Peripheral blood film.
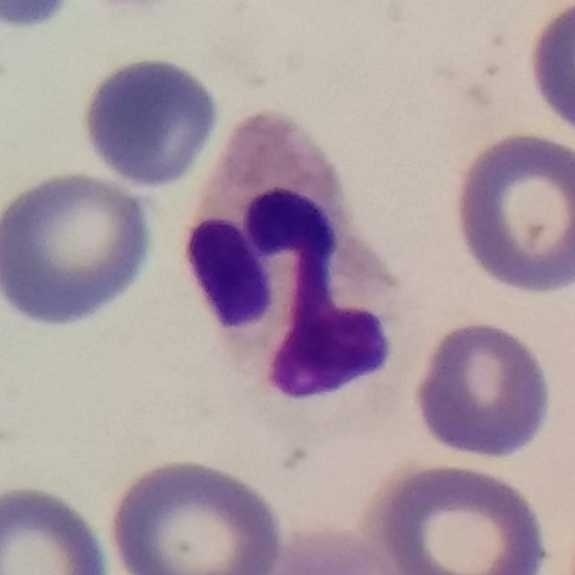 This is a neutrophil granulocyte.